Peripheral blood film: 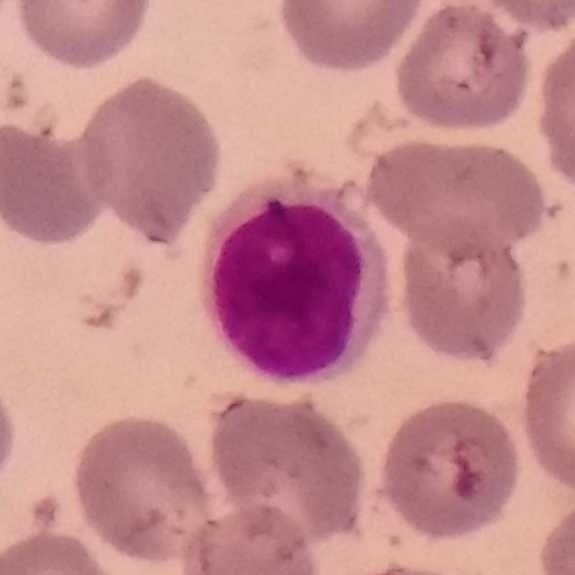

Single cell identified as a lymphocyte.